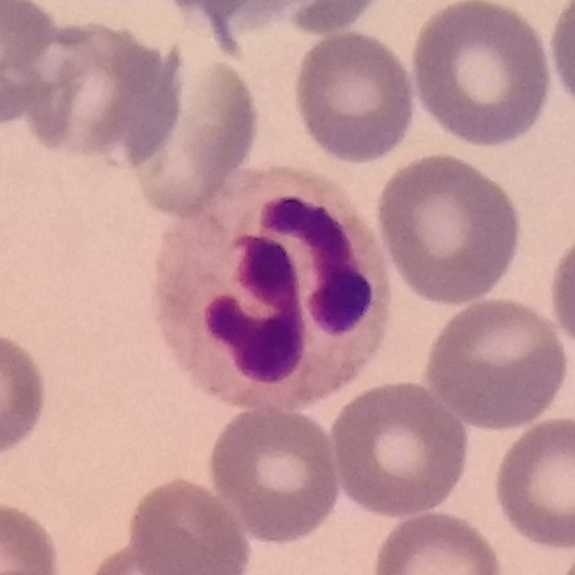 Specimen: peripheral blood film.
Cell type: neutrophil granulocyte.
Lineage: myeloid.